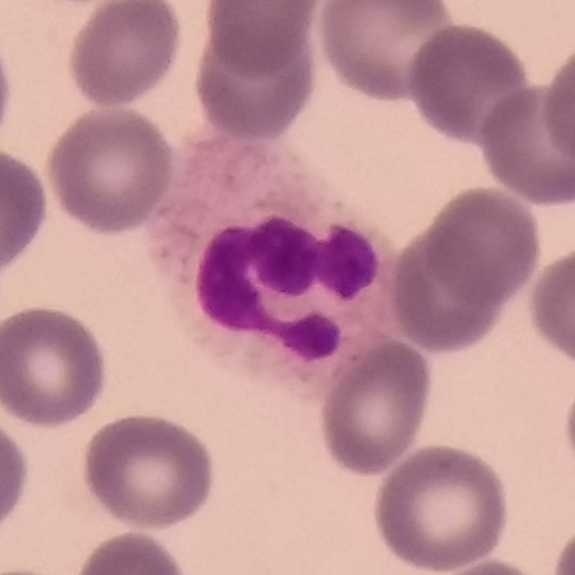Context: Image size 575×575. Giemsa-stained. Specimen: peripheral blood smear.
Cell: neutrophil.